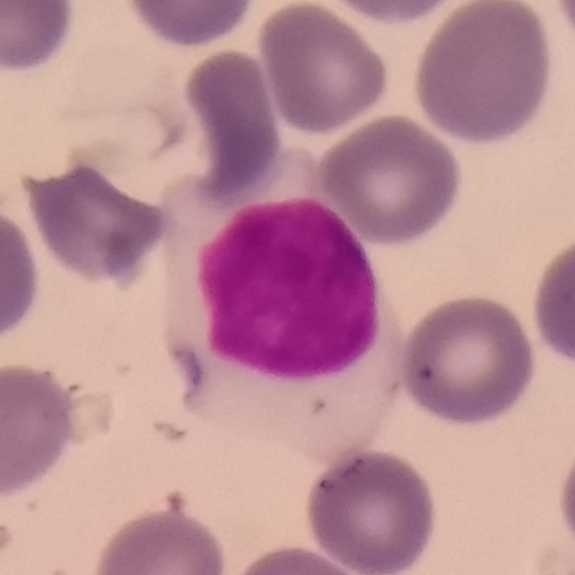Peripheral blood film. 100× magnification. The cell shown is a lymphocyte.